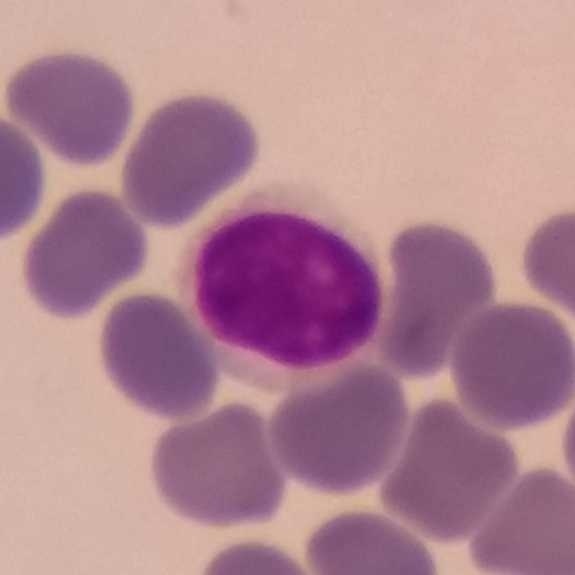Peripheral blood film. Imaged at 100×. Single-cell field.

The cell type is lymphocyte.